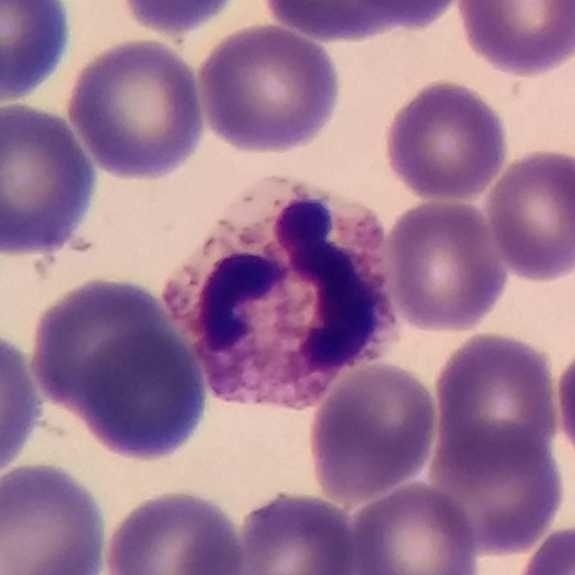
Specimen: peripheral blood film.
Classification: neutrophilic granulocyte.
Lineage: myeloid.